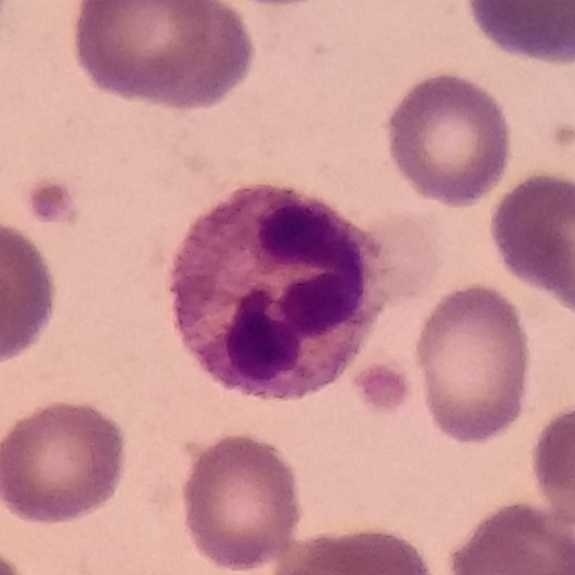Q: What type of cell is this?
A: Neutrophil granulocyte.
Image: Peripheral blood film.